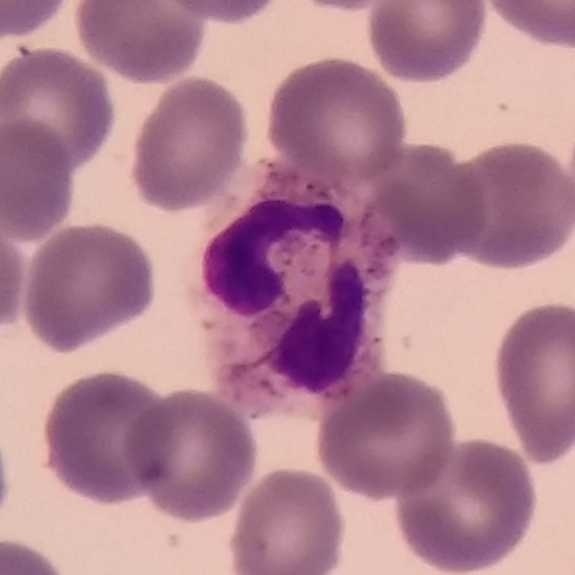

Cropped to one leukocyte · peripheral blood film. Q: What type of cell is this?
A: A neutrophil granulocyte.